Giemsa stain; magnification 100×; peripheral blood smear — 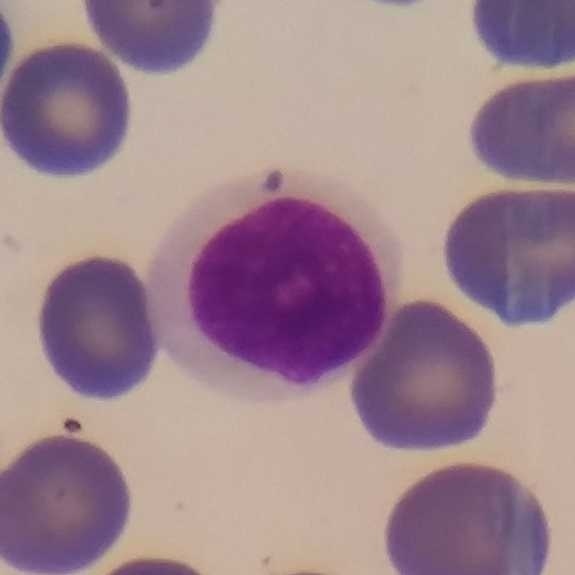
Lymphocyte.